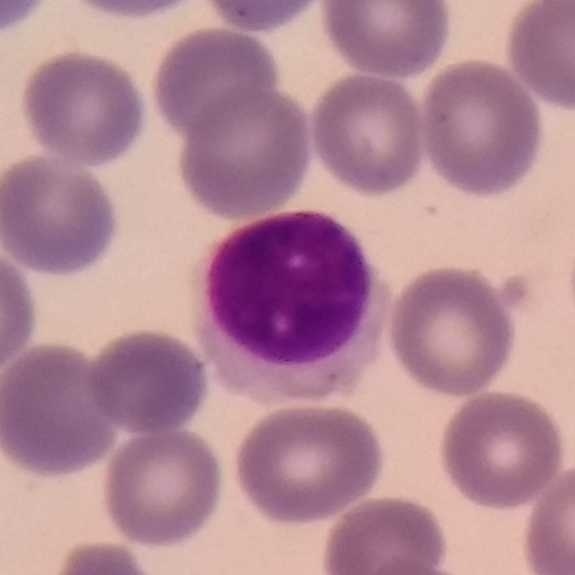
Specimen: peripheral blood smear.
Classification: lymphocyte.
Lineage: lymphoid.